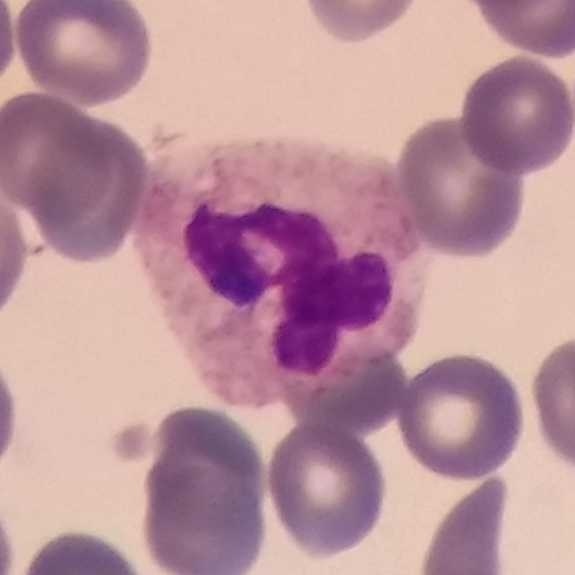Peripheral blood smear. Giemsa stain.

A neutrophil granulocyte.